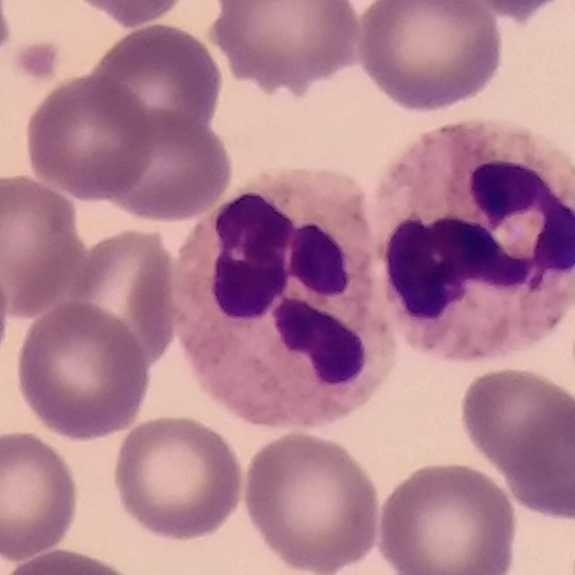 Specimen: peripheral blood film.
Cell: neutrophil granulocyte.
Lineage: myeloid.